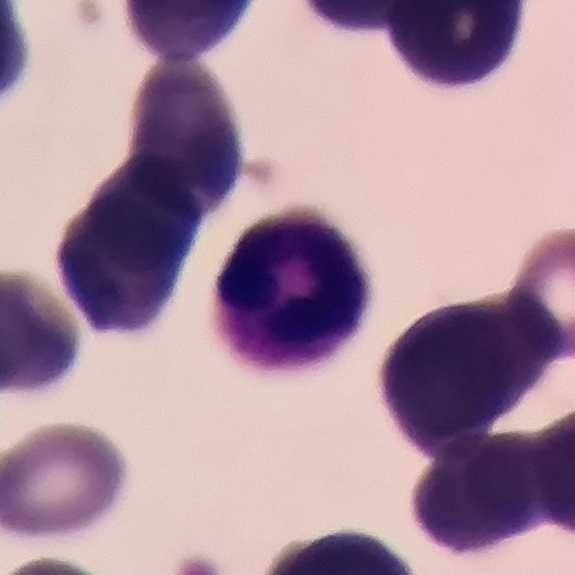 {"cell_type": "neutrophil granulocyte", "lineage": "myeloid"}